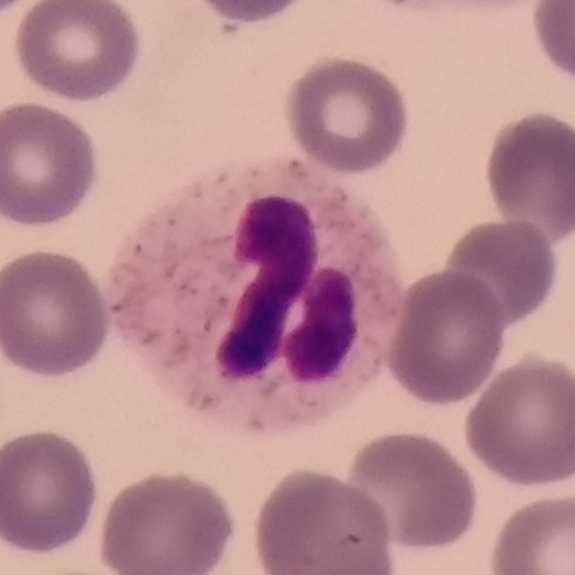
Morphology — neutrophil granulocyte. Peripheral blood film.